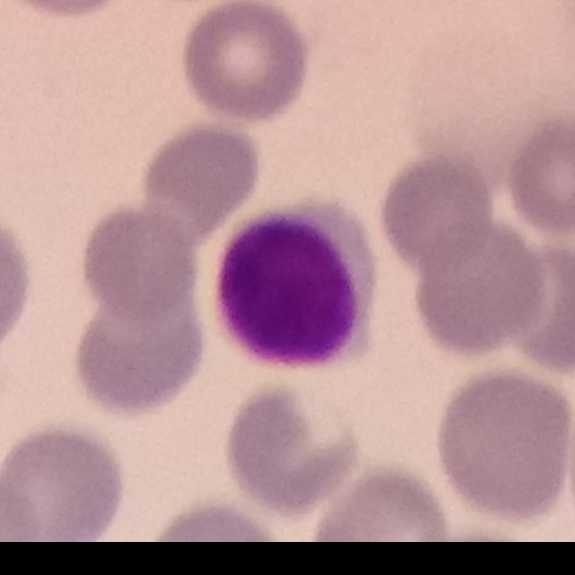 Peripheral blood smear.
Identified as a lymphocyte.